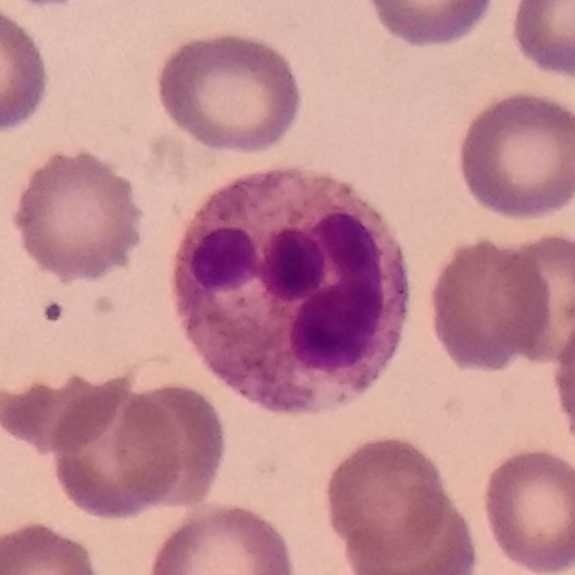Single cell identified as a neutrophilic granulocyte.